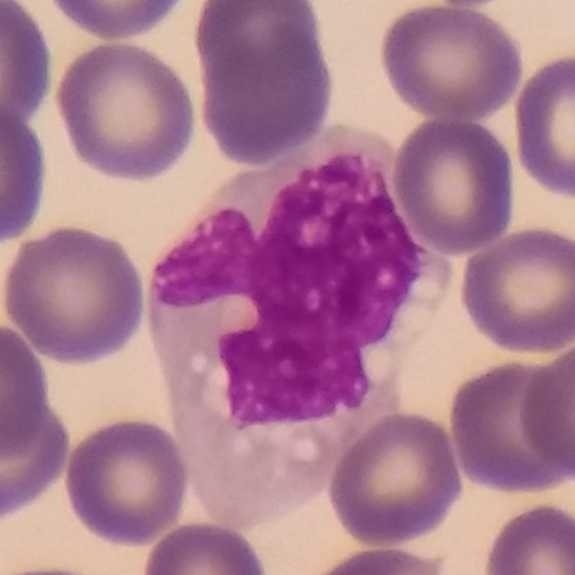 Specimen: peripheral blood smear.
White blood cell type: monocyte.
Lineage: myeloid.